Peripheral blood smear; magnification 100× — 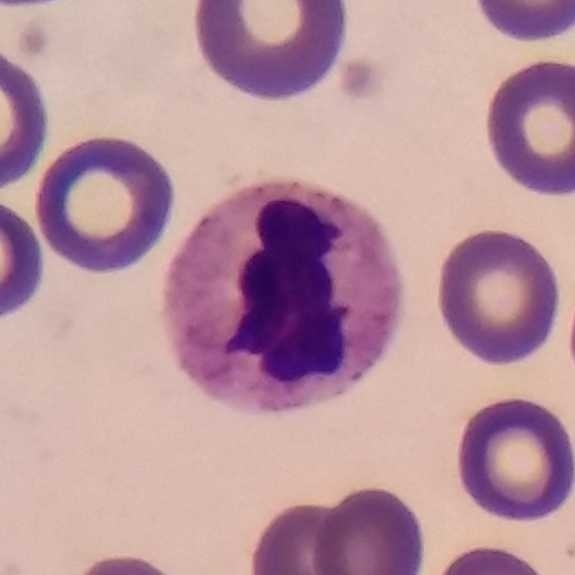 Morphology → neutrophil.